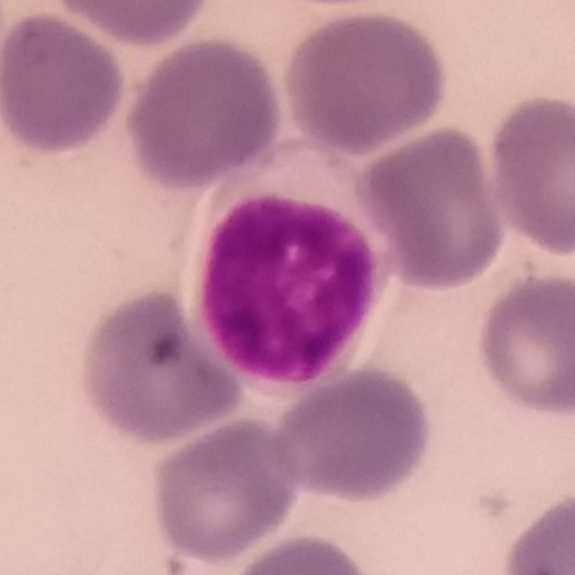
Morphology consistent with a lymphocyte.